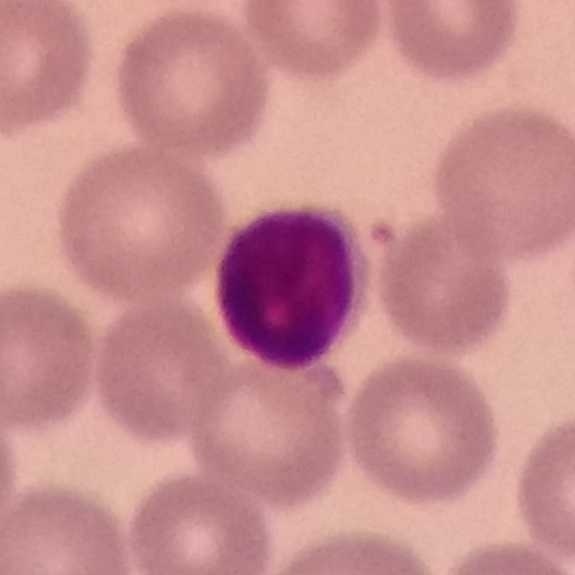
Preparation: Giemsa-stained; peripheral blood smear; 100× magnification.

Cell: lymphocyte.